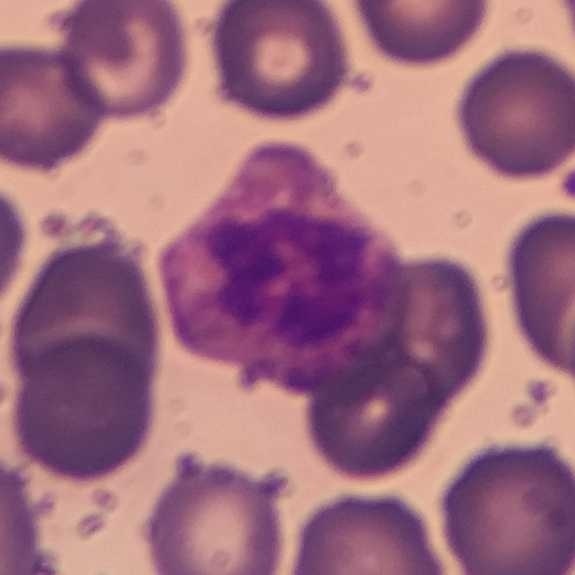White blood cell type — neutrophilic granulocyte. Context: 575×575 px; 100× magnification; peripheral blood smear.